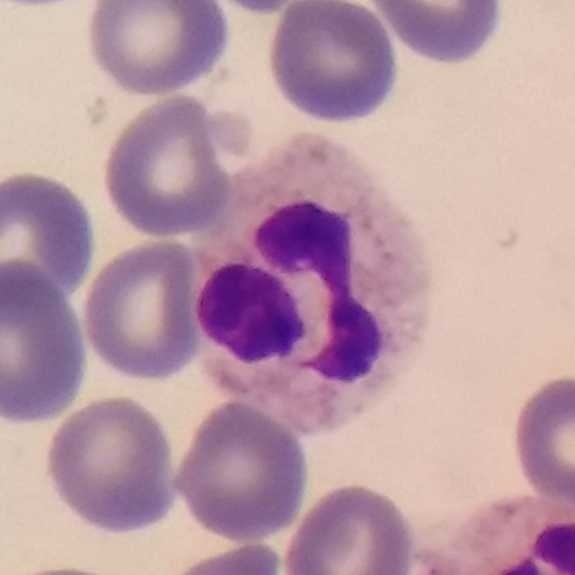Preparation: Peripheral blood film. Stained with Giemsa.

Q: Identify the cell.
A: This is a neutrophilic granulocyte.